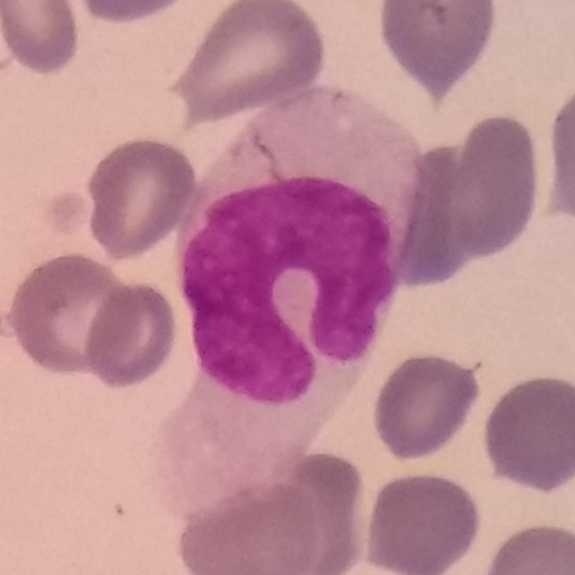 Peripheral blood film; smartphone camera mounted on the microscope eyepiece. Monocyte.